Peripheral blood smear — 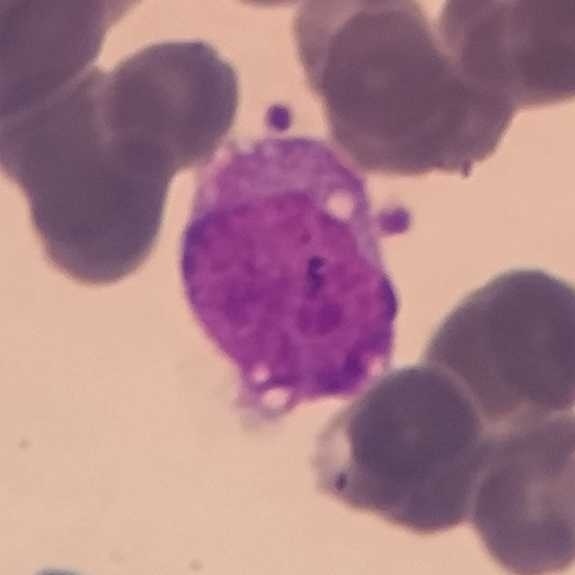 Classification — lymphocyte.